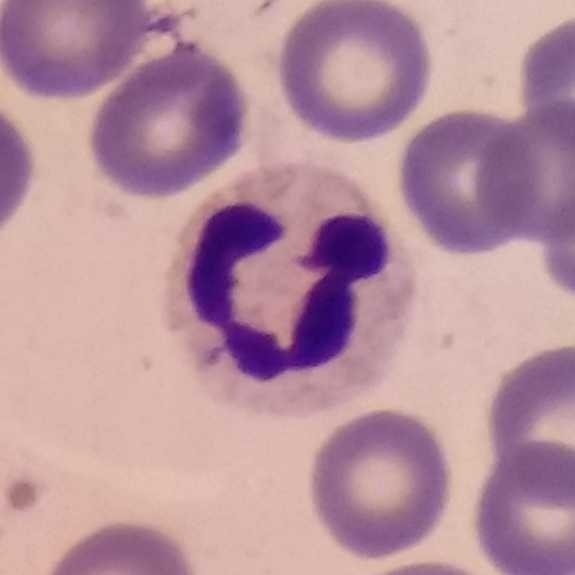
Q: What cell is this?
A: Neutrophilic granulocyte.